Peripheral blood film: 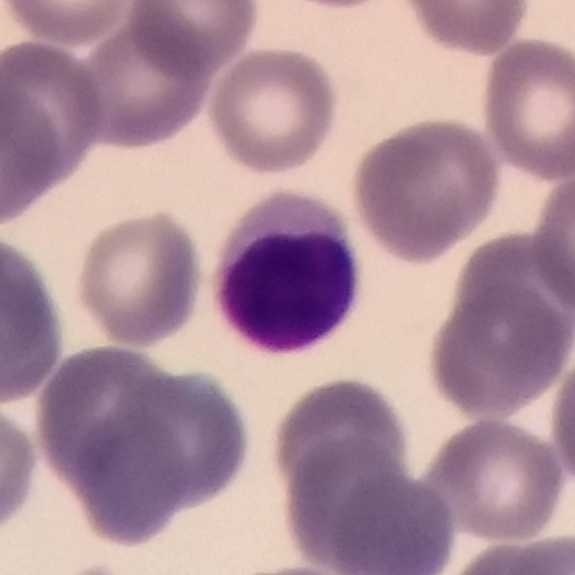

Specimen: peripheral blood smear.
Cell: lymphocyte.
Lineage: lymphoid.